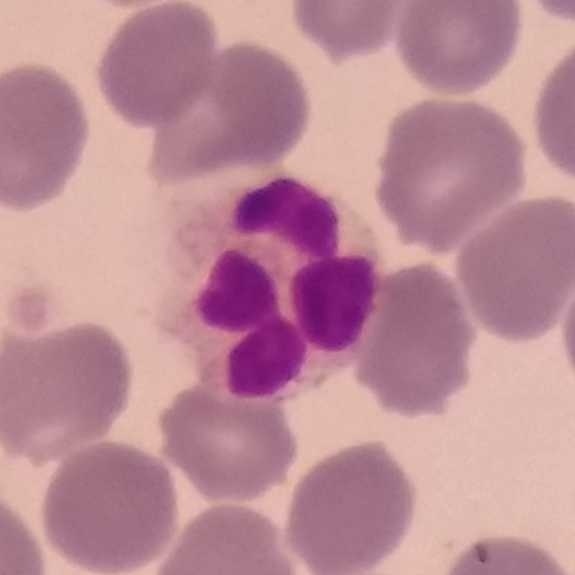The cell type is neutrophil. Preparation: Peripheral blood smear.